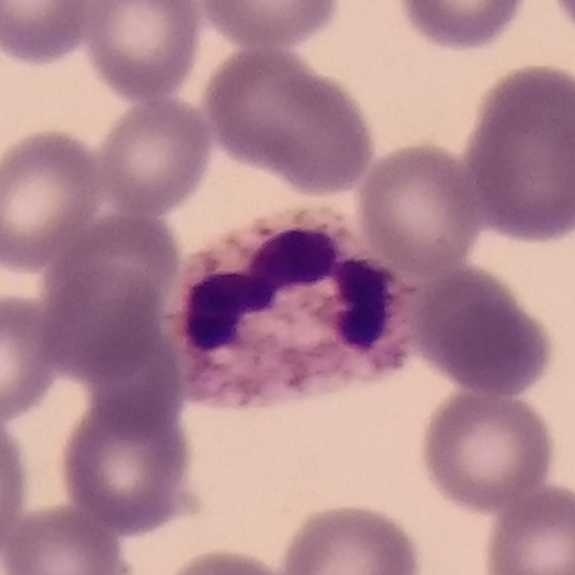Image: Peripheral blood smear.

Q: What is shown here?
A: It is a neutrophil.